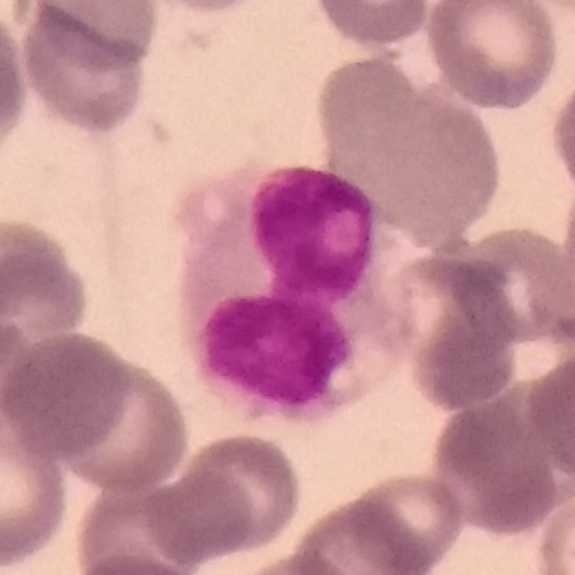Peripheral blood smear.
The morphological class is monocyte.